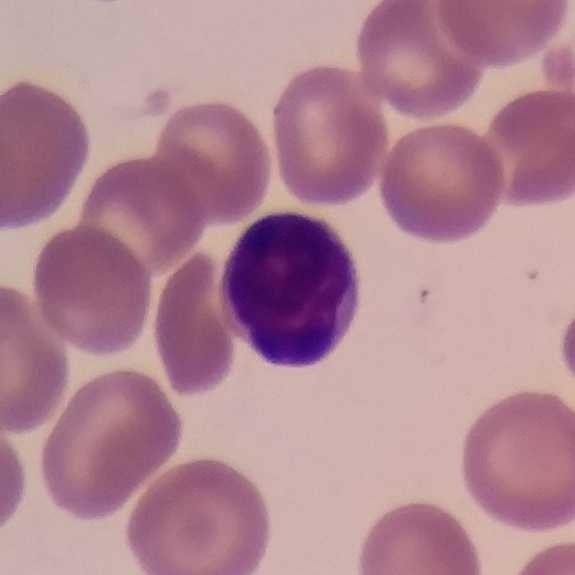
Image: Cropped to one leukocyte; photographed through a light microscope with a smartphone camera. Specimen: peripheral blood smear.
Cell: lymphocyte.